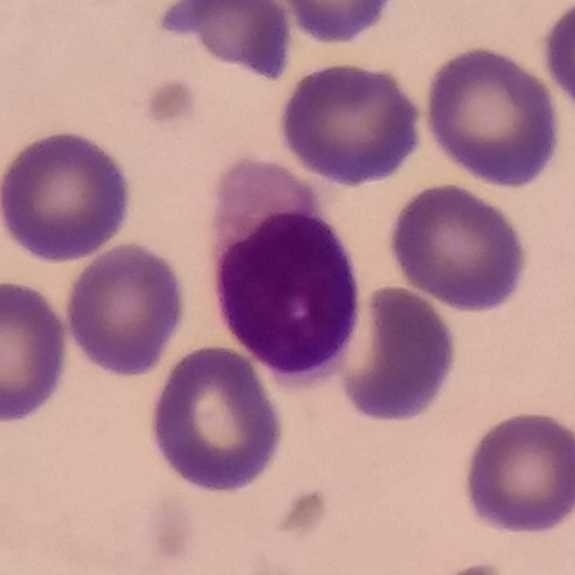

Cell type — lymphocyte.
Acquisition: Peripheral blood smear.